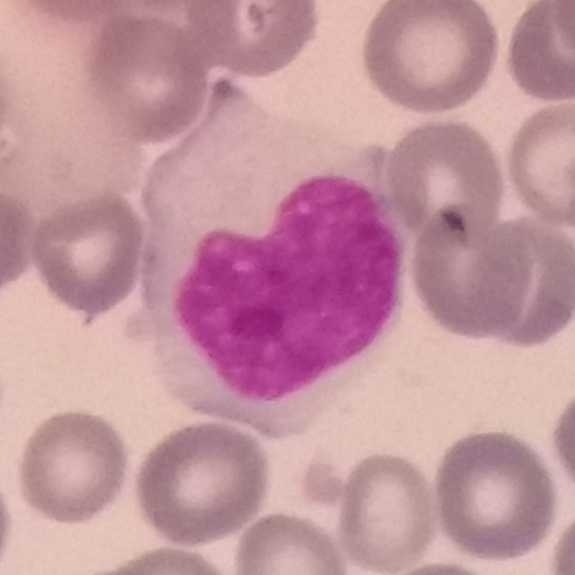
Context: Peripheral blood film. Giemsa stain. Cropped to one leukocyte. Q: What type of cell is this?
A: This is a monocyte.